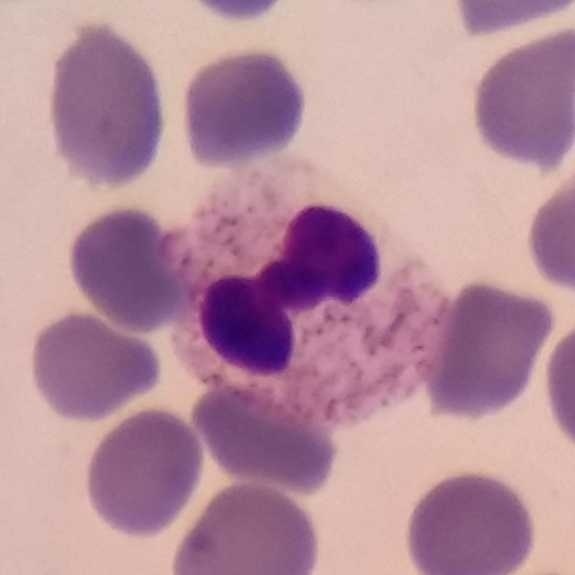 Peripheral blood film. Stained with Giemsa. Single-cell crop.
Impression — neutrophilic granulocyte.